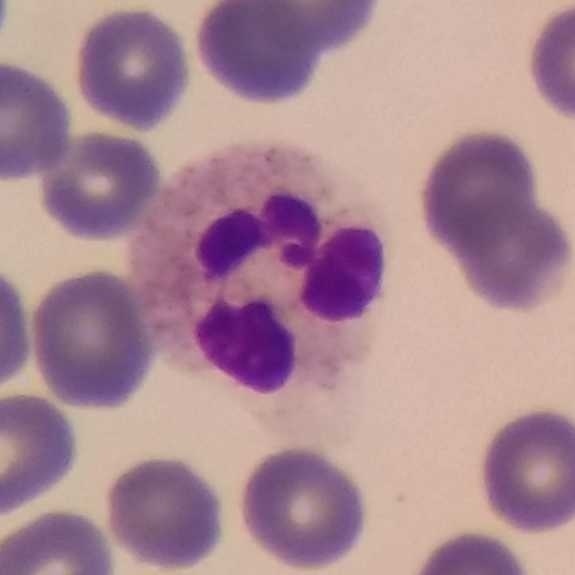Peripheral blood smear.
A neutrophilic granulocyte.